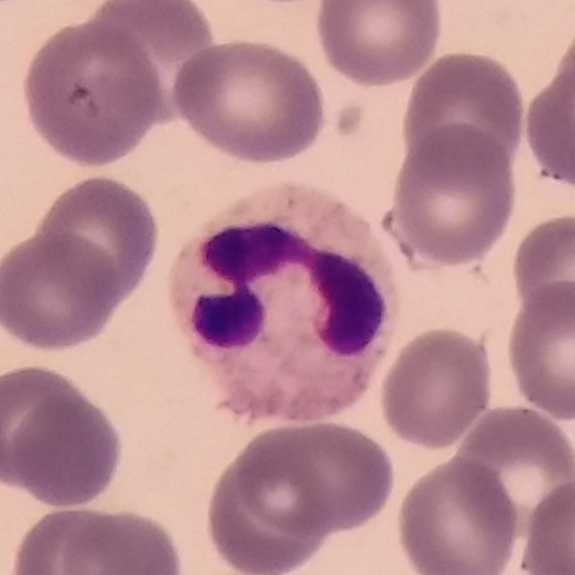
Specimen: peripheral blood smear.
Classification: neutrophil.
Lineage: myeloid.